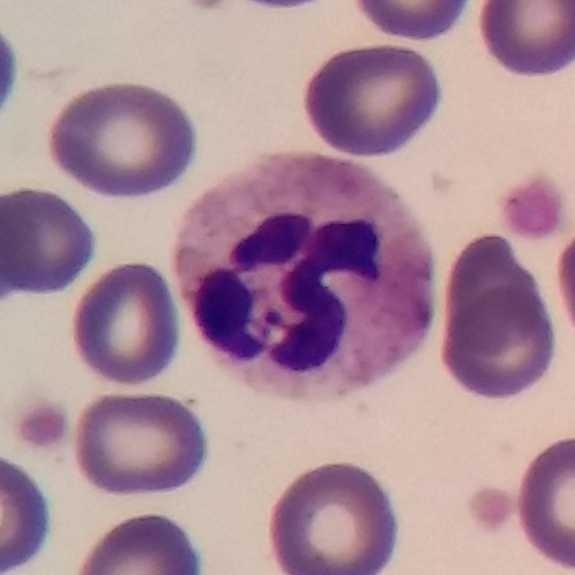 Specimen: peripheral blood smear.
White blood cell type: neutrophil.
Lineage: myeloid.
575×575. Cropped to one leukocyte.